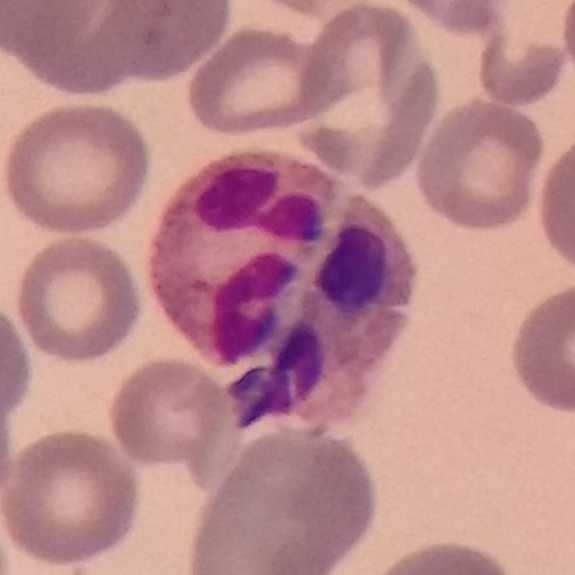The cell type is neutrophilic granulocyte.